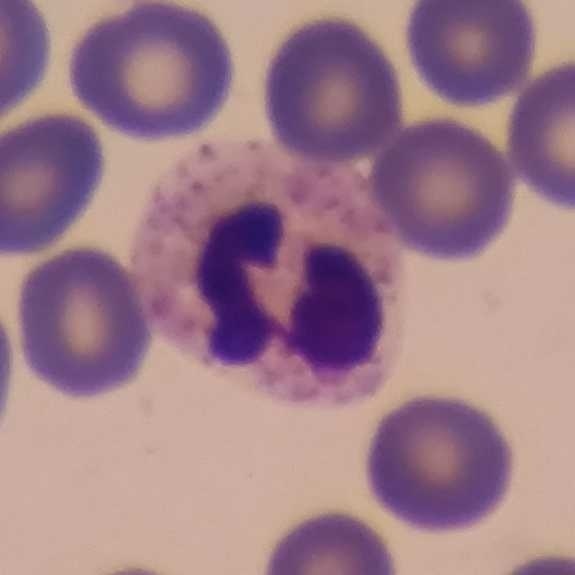

Image size 575×575 · imaged at 100× · peripheral blood smear. White blood cell type: neutrophil granulocyte.